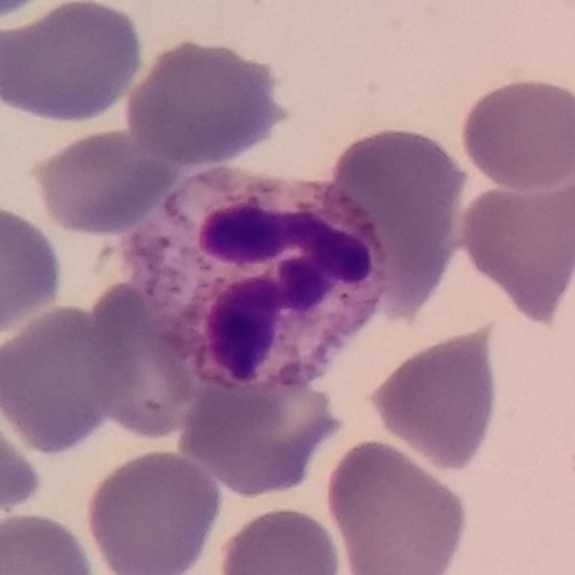

Single-cell crop from a peripheral blood smear: neutrophilic granulocyte.